Giemsa-stained · peripheral blood film:
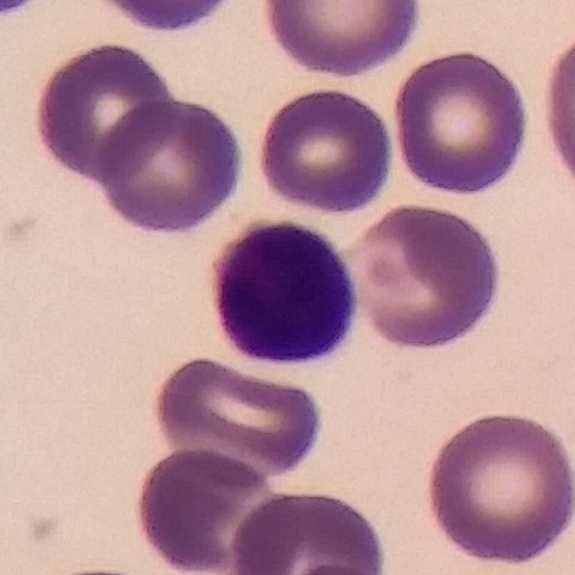

Specimen: peripheral blood smear.
Cell type: lymphocyte.
Lineage: lymphoid.